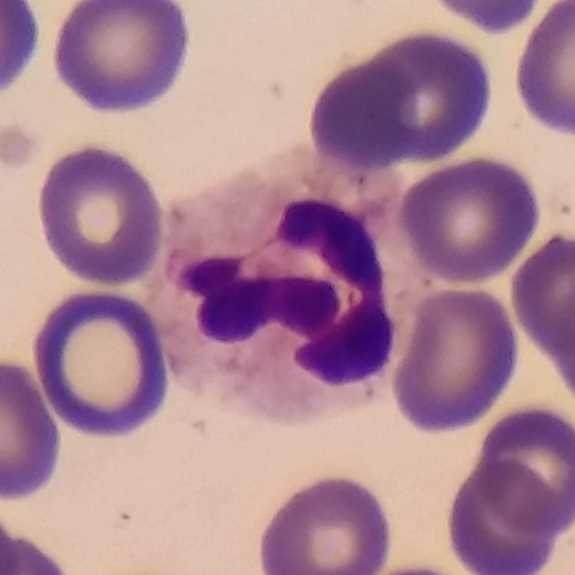
The cell is neutrophil granulocyte. 575 by 575 pixels · peripheral blood smear.